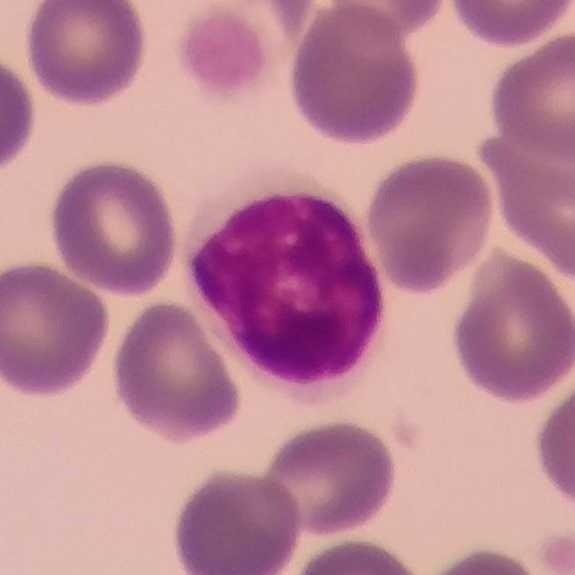Q: Which cell type is shown here?
A: A lymphocyte. Peripheral blood smear.